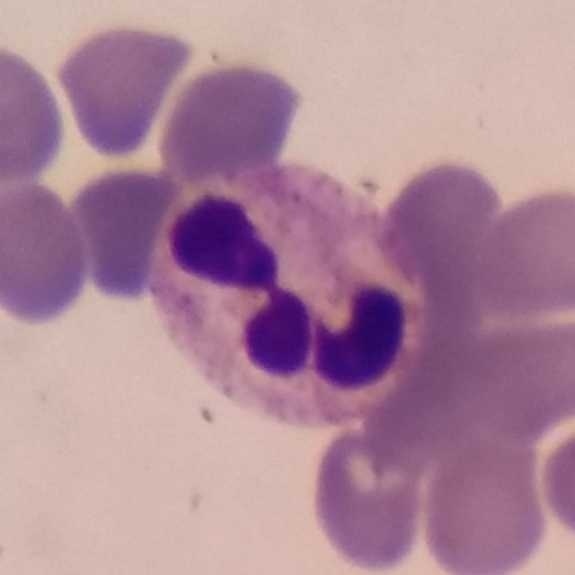 Specimen: peripheral blood film.
Cell: neutrophil.
Lineage: myeloid.